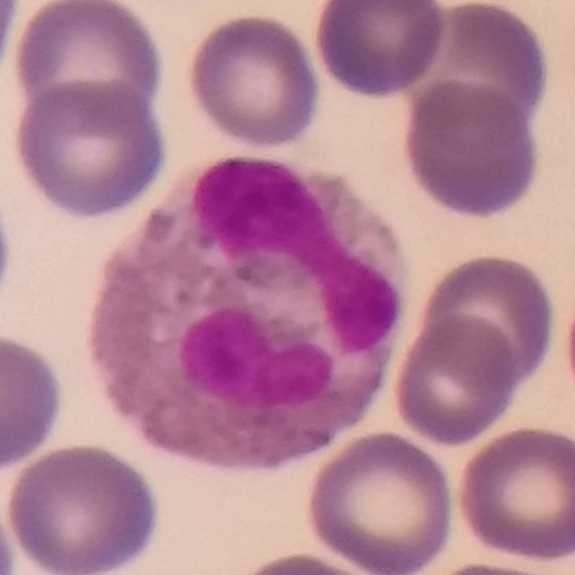
Image: Magnification 100× · peripheral blood smear.
Eosinophilic granulocyte.